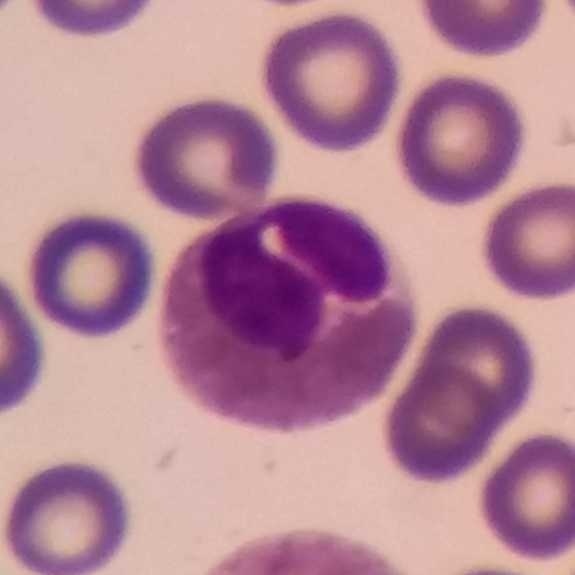

Peripheral blood film.

White blood cell type = eosinophilic granulocyte.